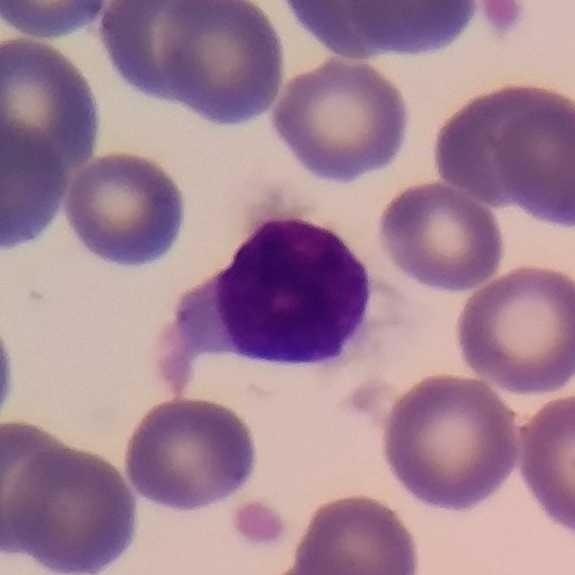
This is a lymphocyte. Context: 100× magnification · peripheral blood smear.